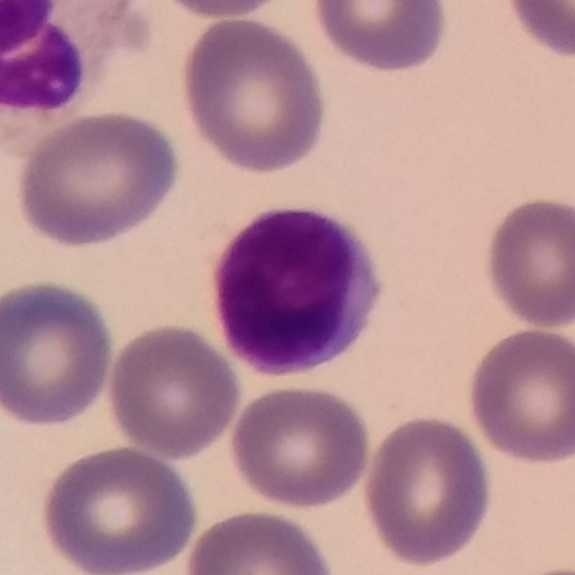
Context: Cropped to one leukocyte · peripheral blood film · 575×575.
Cell type: lymphocyte.